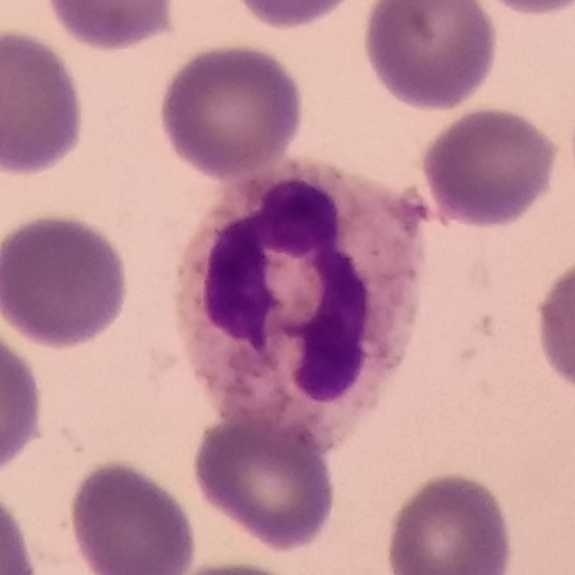 The cell is neutrophil granulocyte.

Context: Stained with Giemsa · peripheral blood smear.